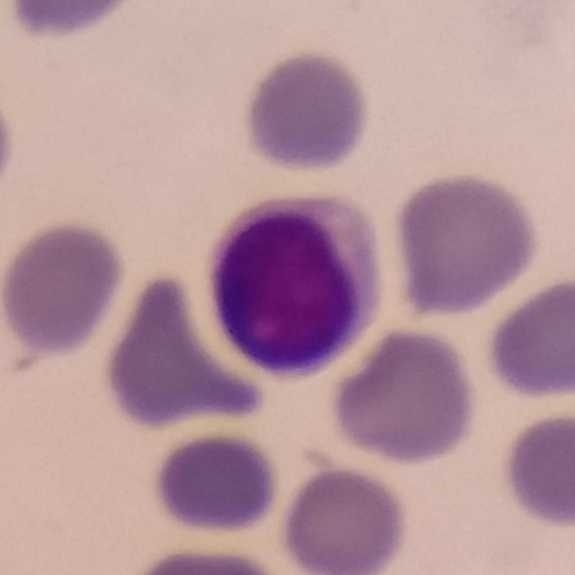Acquisition: Single-cell crop. 575×575.
Specimen: peripheral blood film.
Cell: lymphocyte.